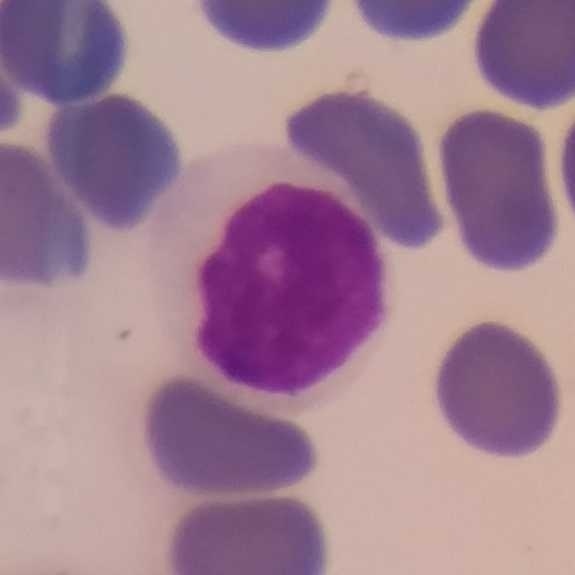
Acquisition: Peripheral blood smear. Image size 575×575.
The morphological class is monocyte.